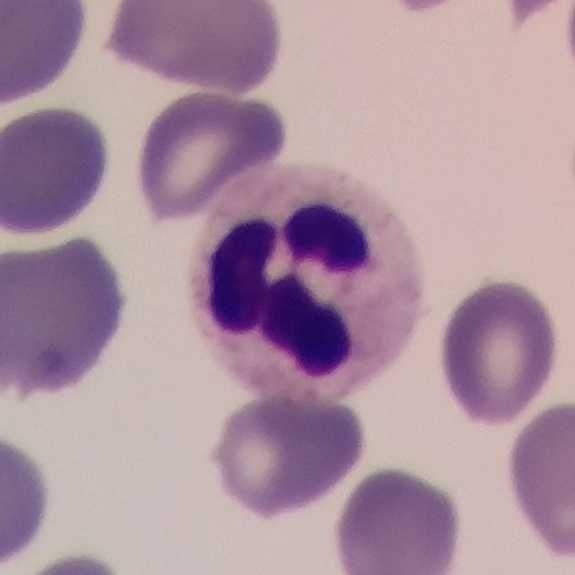

Morphological class = neutrophil granulocyte.